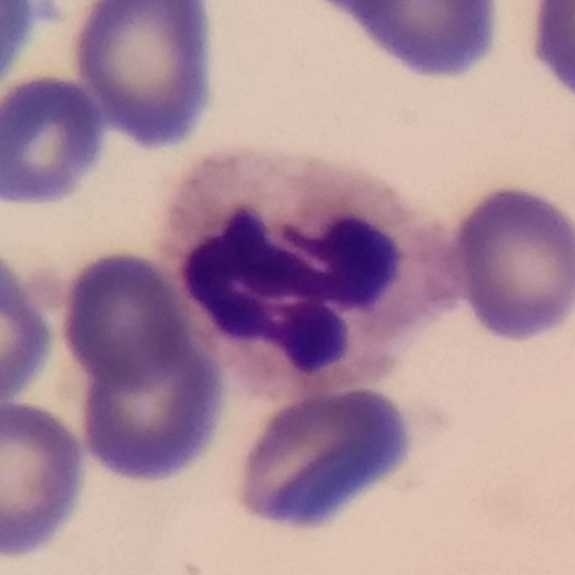

575×575 px; peripheral blood film. Identified as a neutrophilic granulocyte.